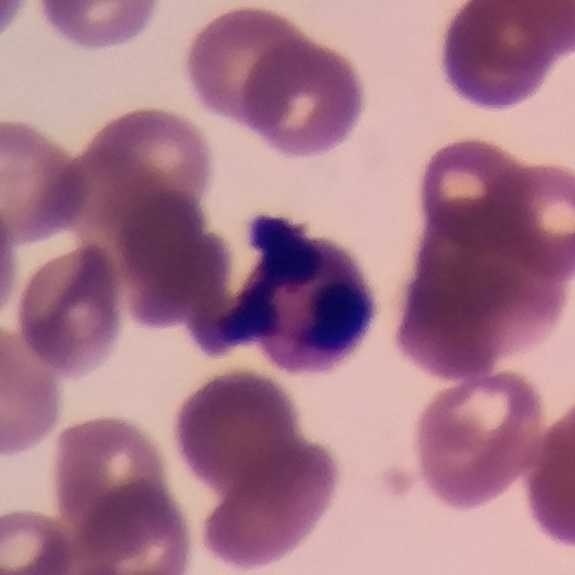
Peripheral blood smear. Morphological class — neutrophil.